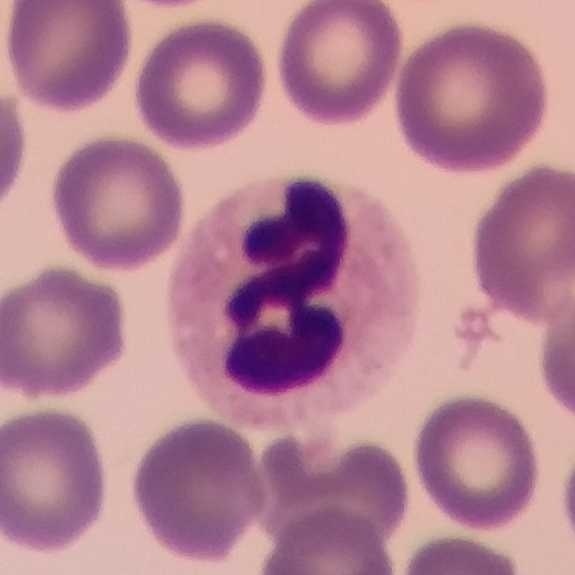
Image: Single-cell field; peripheral blood film; Giemsa stain.

The white blood cell in this image is a neutrophilic granulocyte.